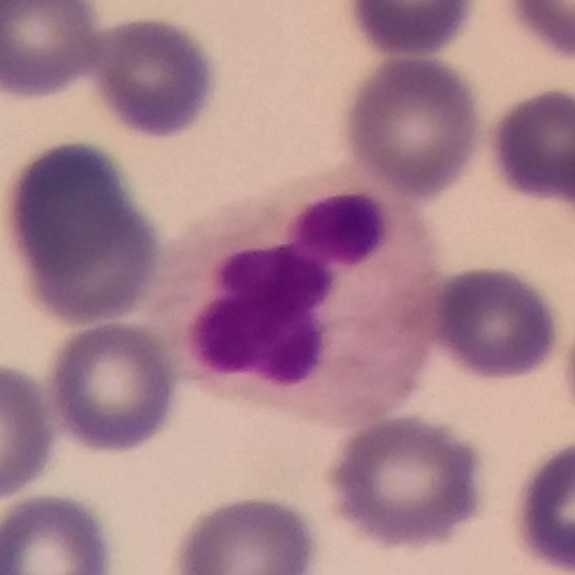

Photographed through a light microscope with a smartphone camera · peripheral blood film · 100× magnification. Classification: neutrophil.